Peripheral blood smear.
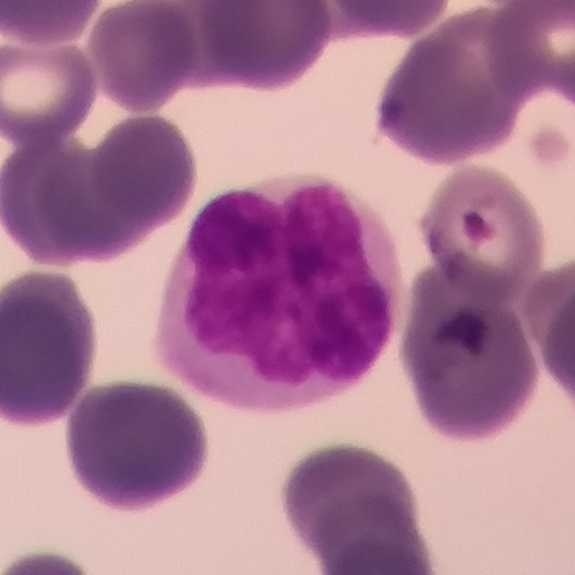
Morphology — monocyte.